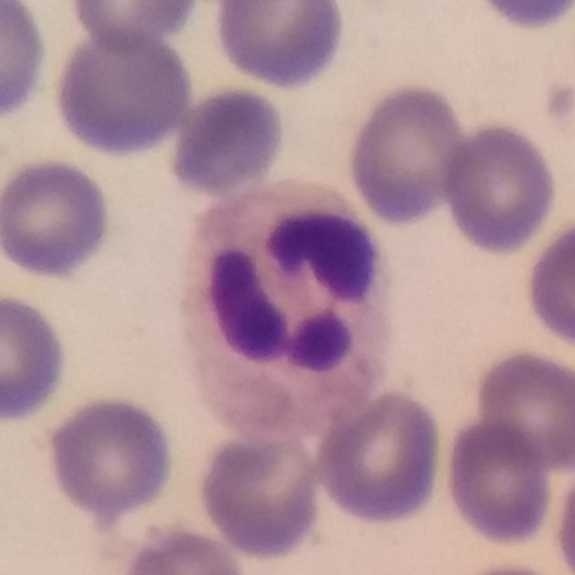

Impression — neutrophil granulocyte.